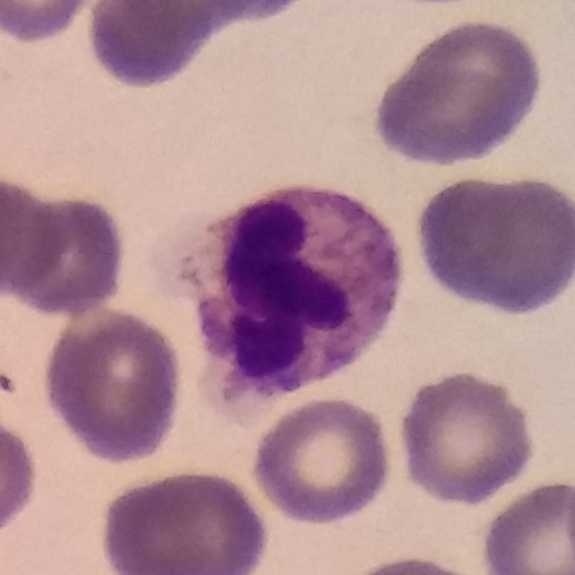Specimen: peripheral blood smear.
Morphological class: neutrophil.